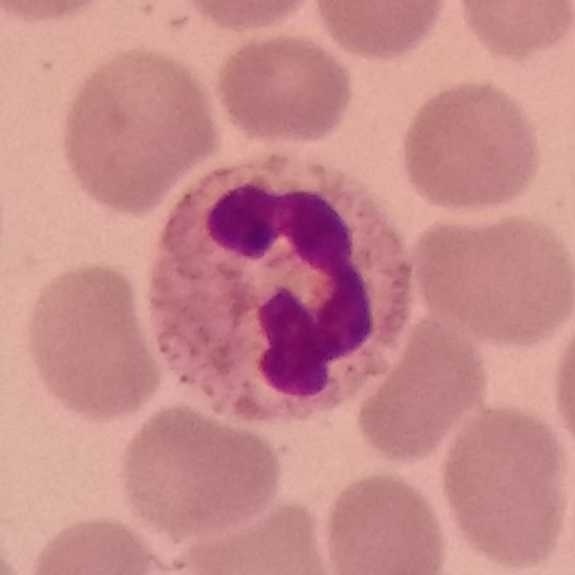 {"cell_type": "neutrophil", "lineage": "myeloid"}